Single-cell field. Smartphone photomicrograph. Peripheral blood film
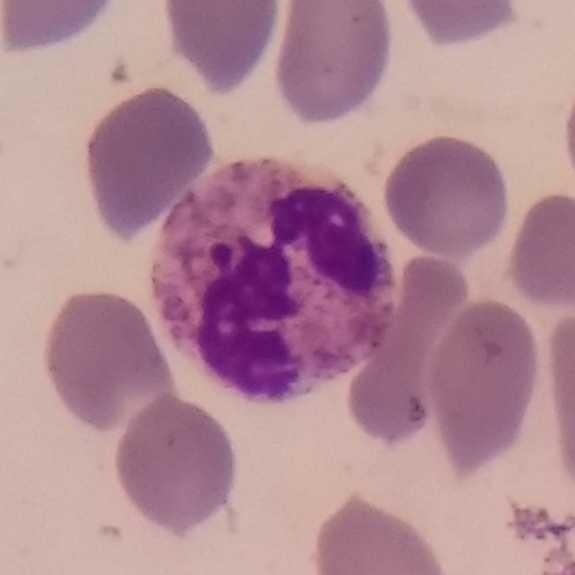Q: What type of cell is this?
A: It is a neutrophilic granulocyte.